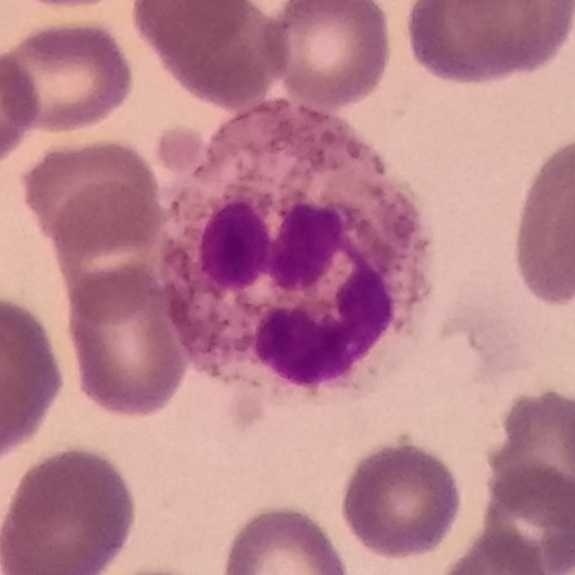
Single-cell crop from a peripheral blood smear: neutrophil.